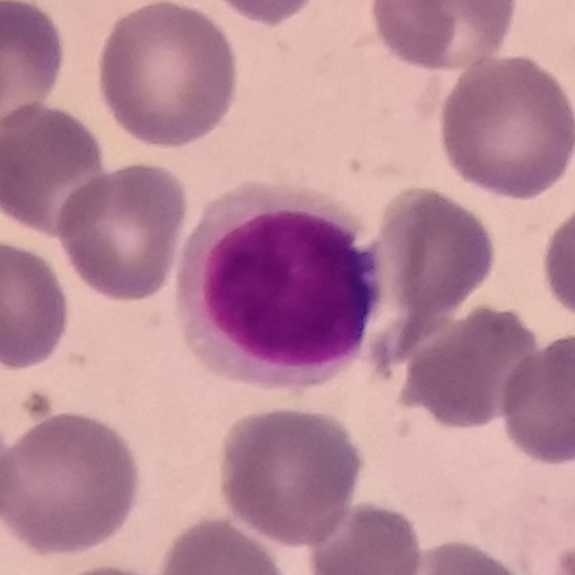Specimen: peripheral blood film.
Morphological class: lymphocyte.